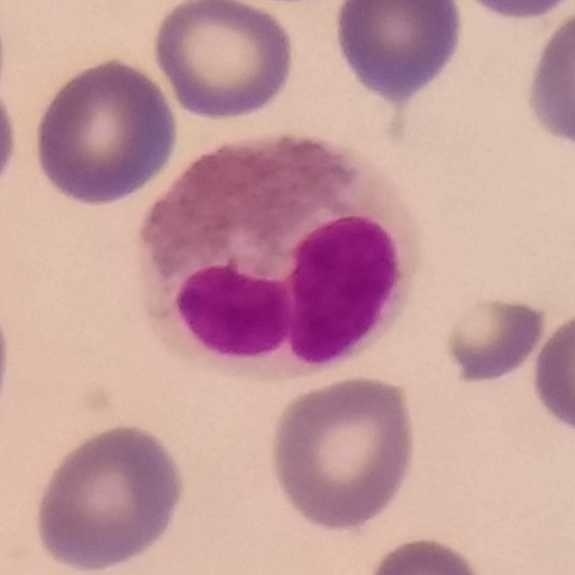 The white blood cell in this image is an eosinophilic granulocyte.
Preparation: Peripheral blood smear.